Peripheral blood smear · photographed through a light microscope with a smartphone camera
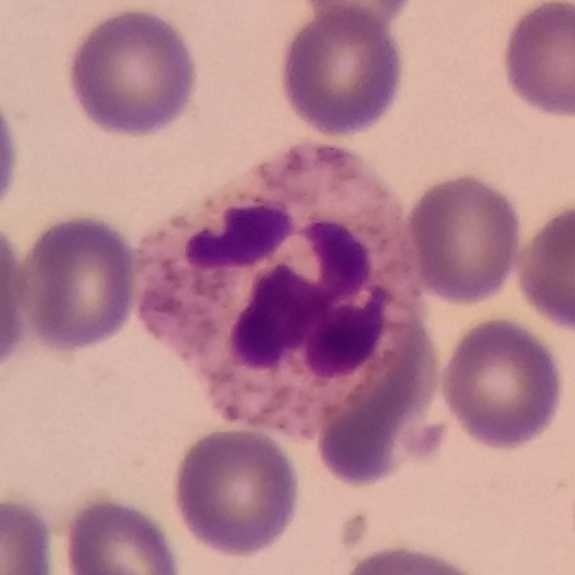Specimen: peripheral blood smear.
Classification: neutrophil.
Lineage: myeloid.